Peripheral blood film.
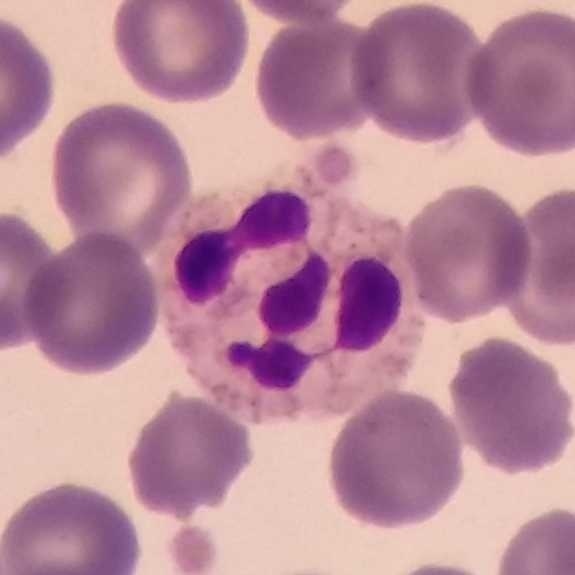 The white blood cell in this image is a neutrophil.